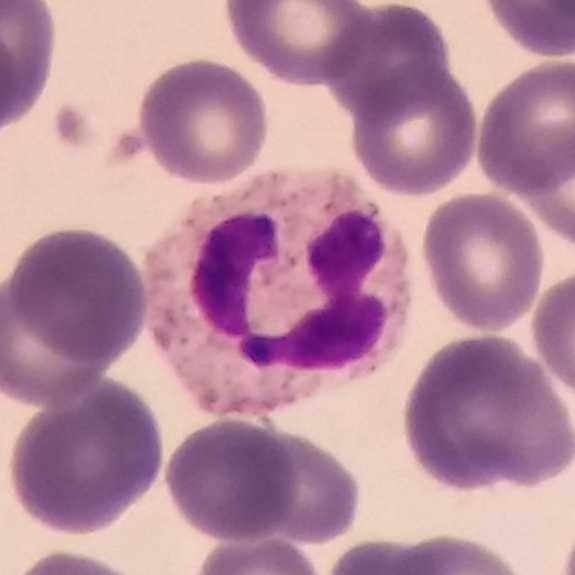
Peripheral blood smear. Stained with Giemsa.
Classification — neutrophilic granulocyte.